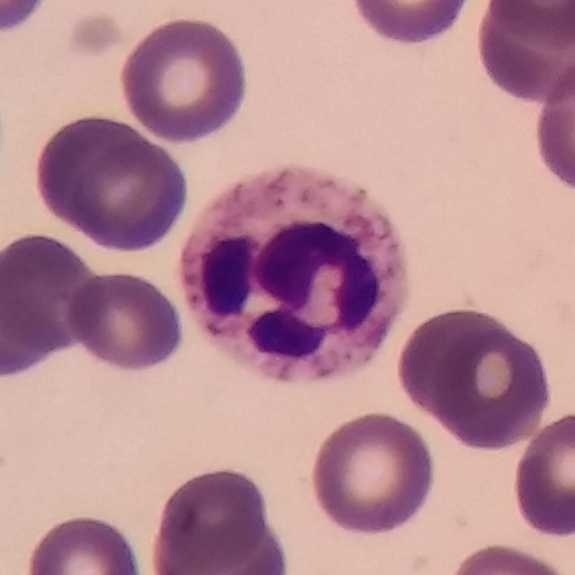

Single white blood cell cropped from the smear photograph.
Specimen: peripheral blood smear.
Classification: neutrophil.